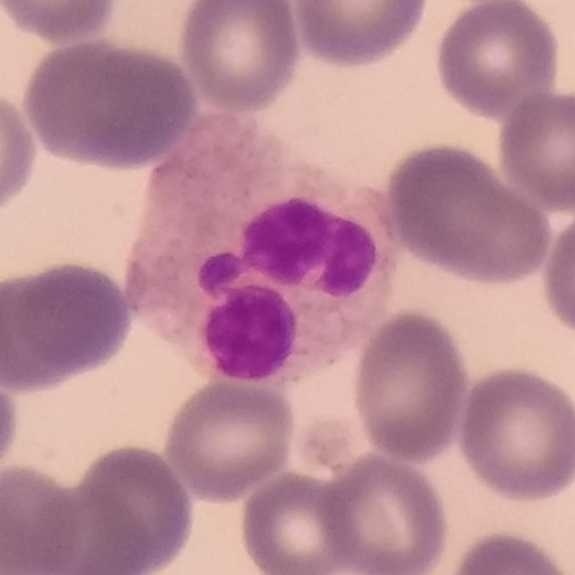

Cell type — neutrophil.